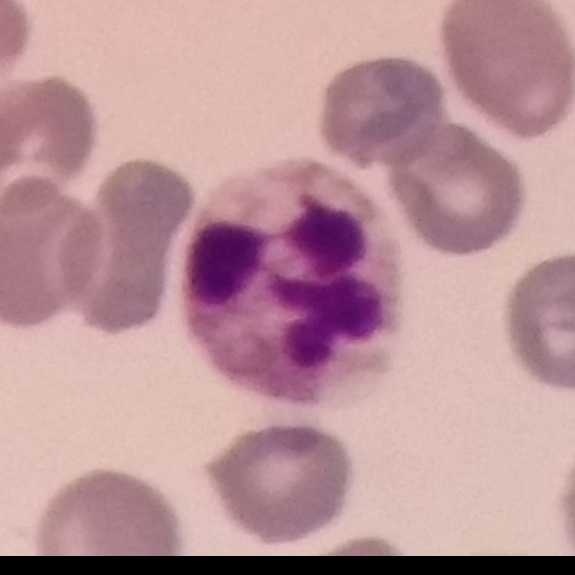 Specimen: peripheral blood smear.
Cell type: neutrophil.
Lineage: myeloid.